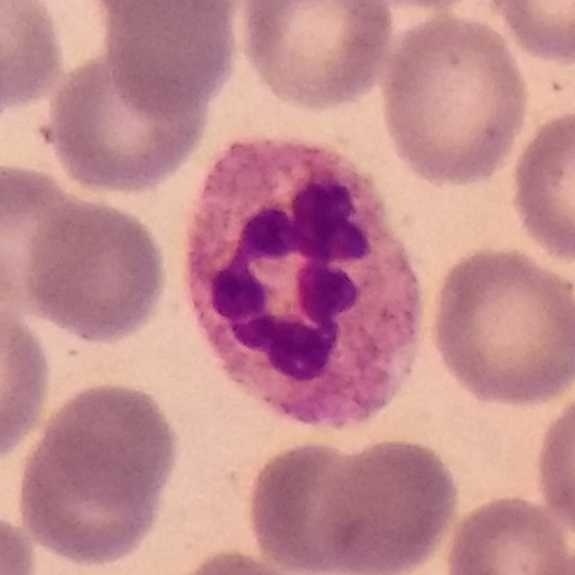 Preparation: 575 by 575 pixels. Peripheral blood film.
A neutrophil.